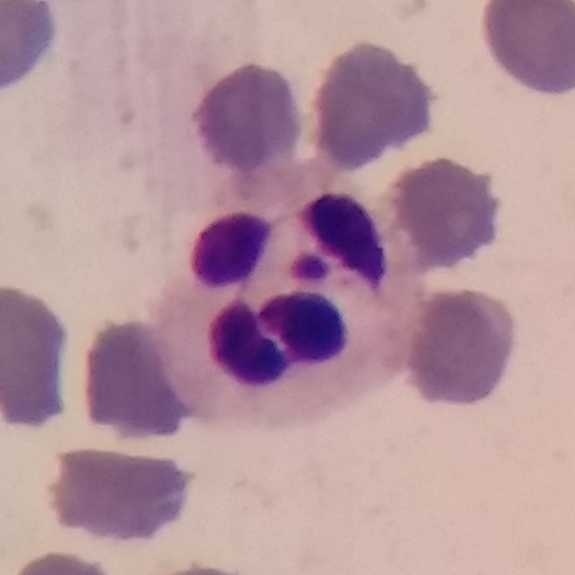

The cell type is neutrophil.